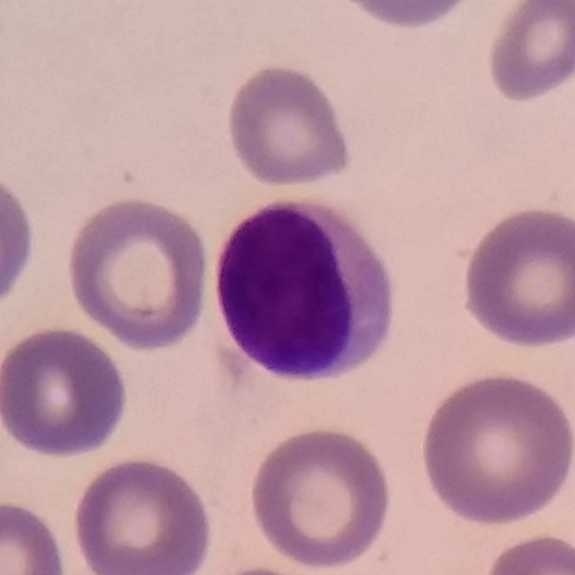 Q: What is the morphological classification of this cell?
A: A lymphocyte.